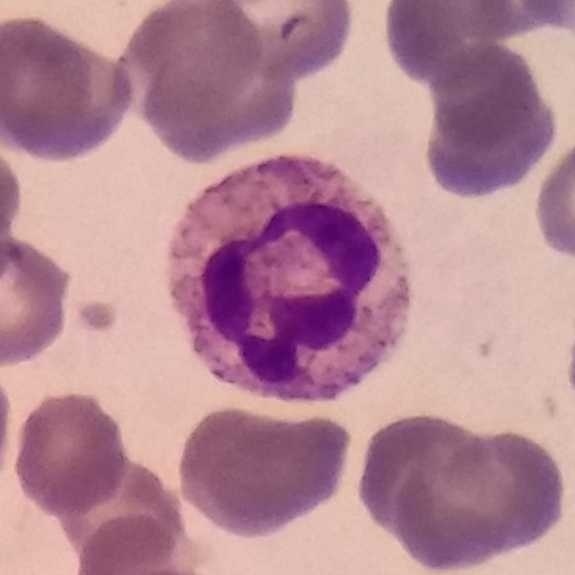

{"cell_type": "neutrophilic granulocyte"}